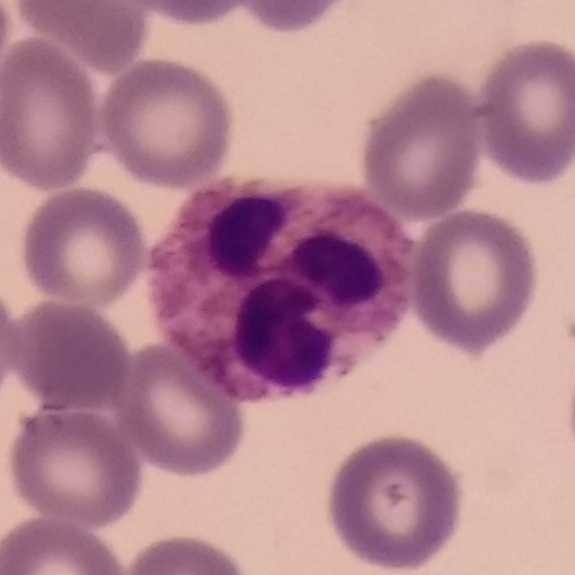 Specimen: peripheral blood smear.
Classification: neutrophil granulocyte.
Lineage: myeloid.